Peripheral blood film; single white blood cell cropped from the smear photograph — 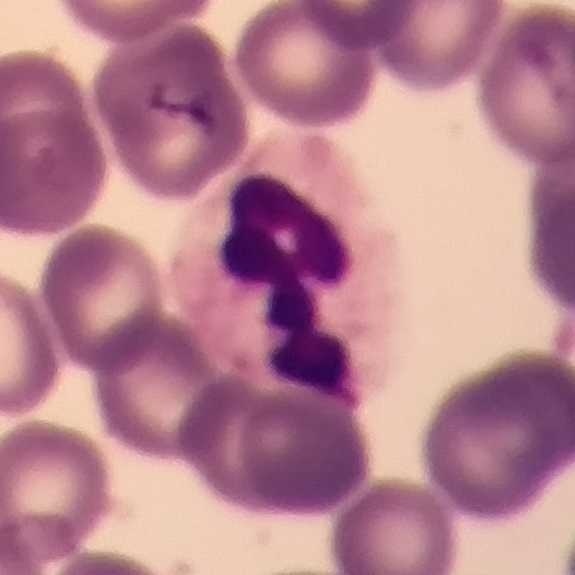

Showing a neutrophil.